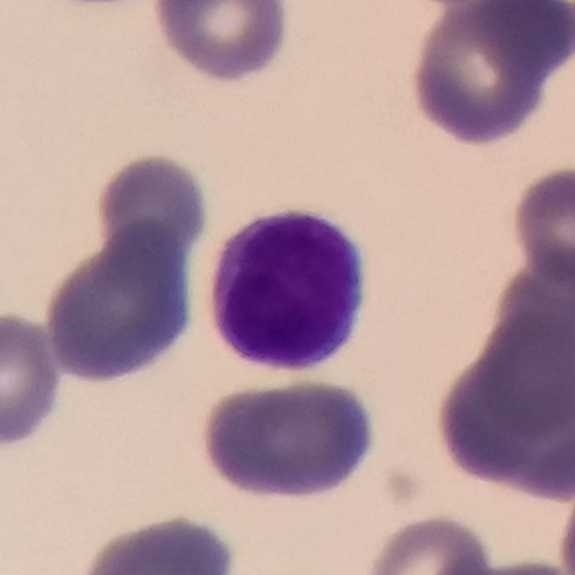

Image: Peripheral blood film · magnification 100×.
Q: Which type of white blood cell is this?
A: Lymphocyte.